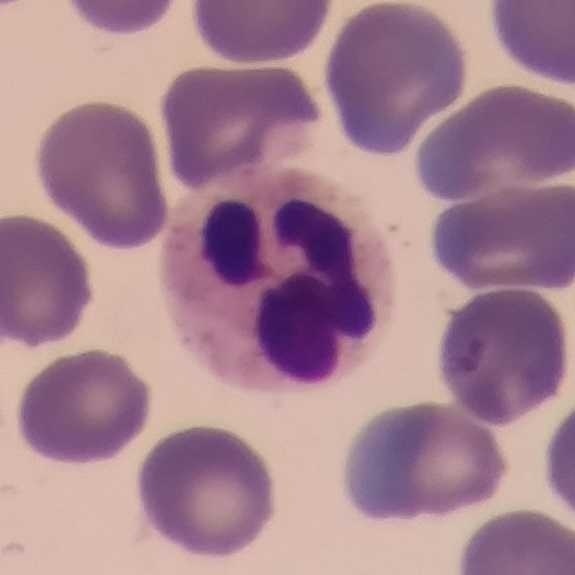
Peripheral blood smear. Image size 575×575. Cropped to one leukocyte. Q: What is this?
A: A neutrophilic granulocyte.